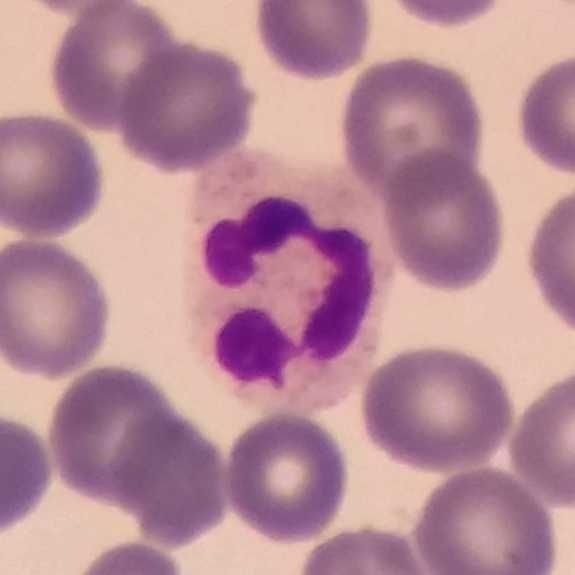
Impression — neutrophil.

Peripheral blood film.